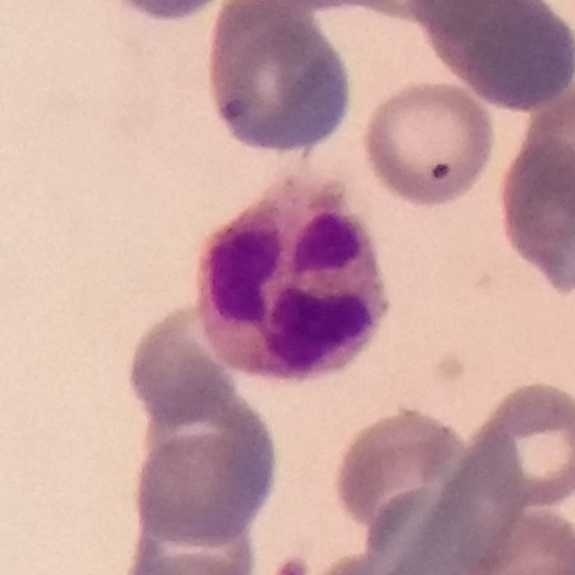100× magnification; peripheral blood smear.

Identified as a neutrophilic granulocyte.